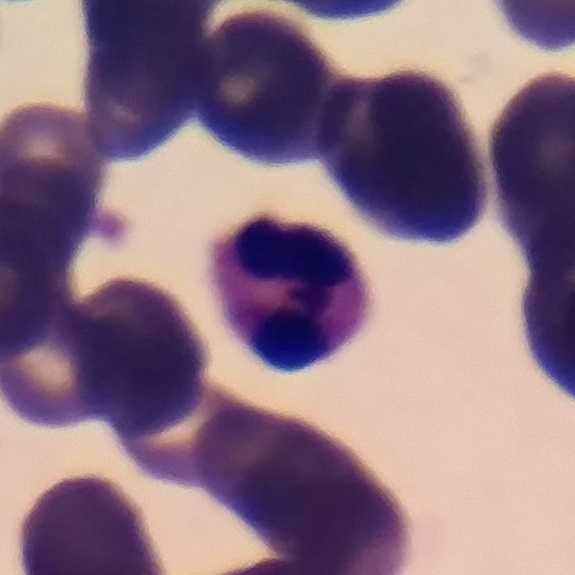

Neutrophil. Acquisition: Peripheral blood smear · stained with Giemsa.